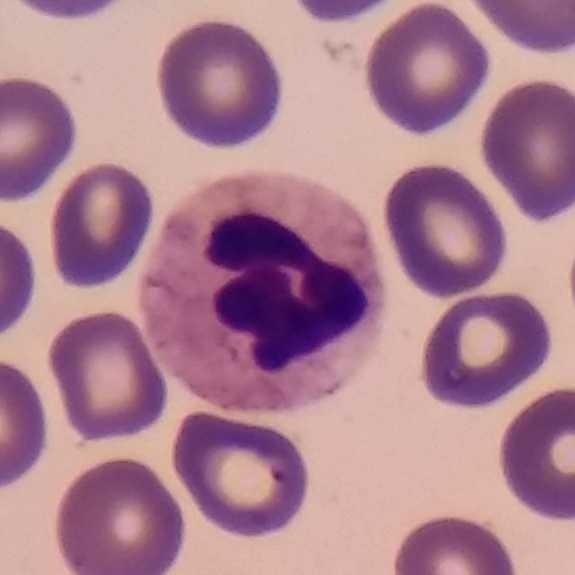Preparation: Giemsa-stained. Peripheral blood smear.
The cell is neutrophilic granulocyte.